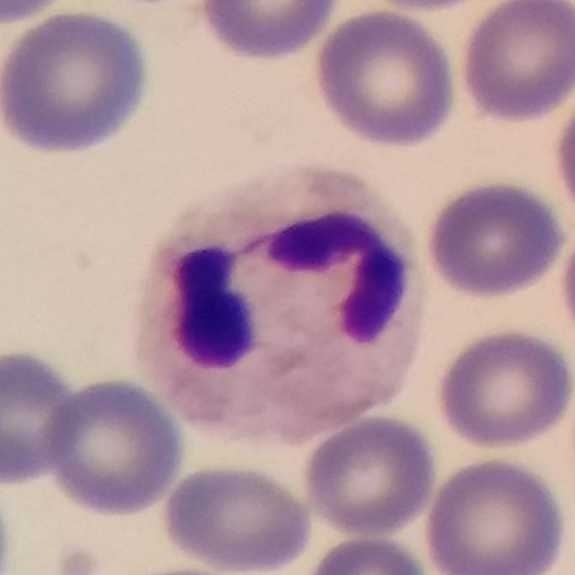{"cell_type": "neutrophilic granulocyte", "lineage": "myeloid"}